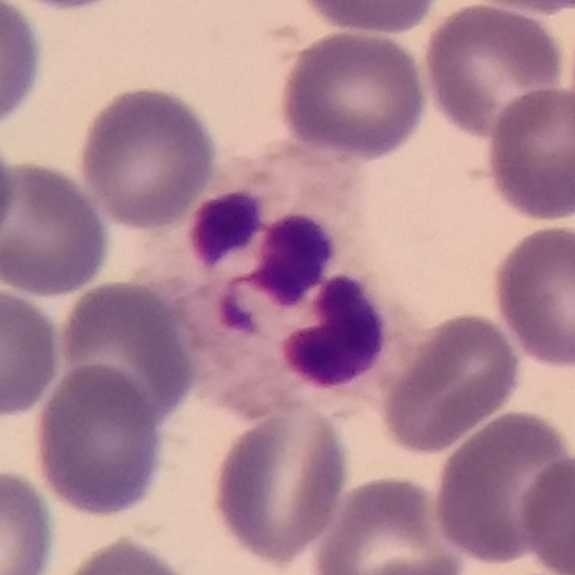Image size 575×575. Peripheral blood film. Cell = neutrophilic granulocyte.